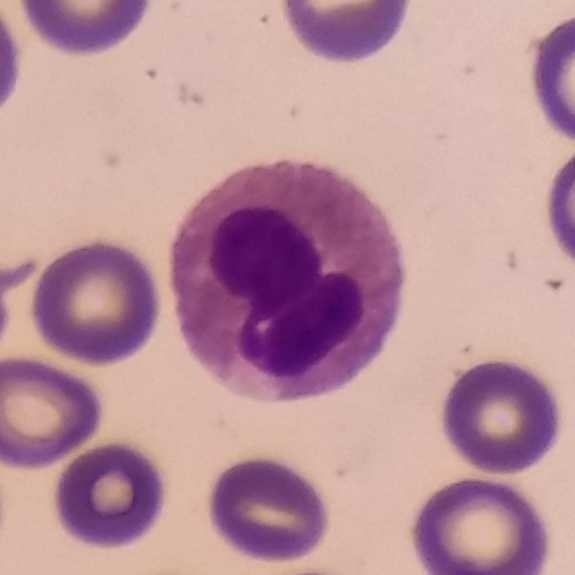
Specimen: peripheral blood film.
Cell type: eosinophilic granulocyte.